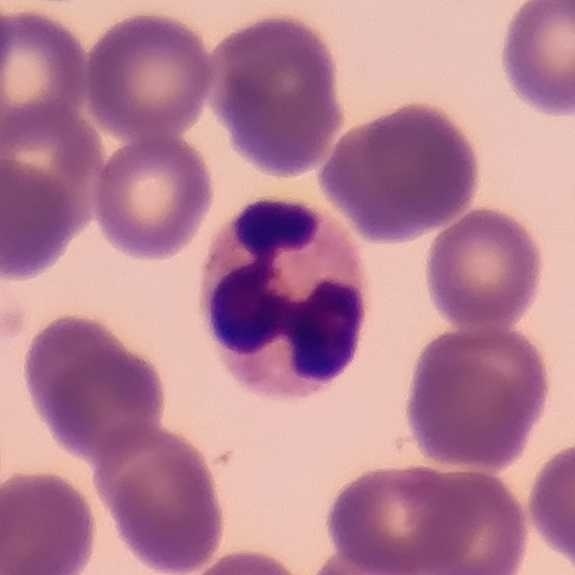 Image: Peripheral blood smear. Morphology consistent with a neutrophil granulocyte.